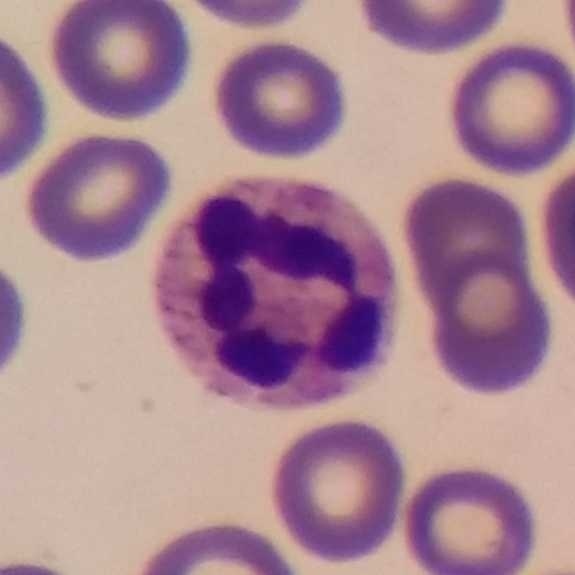

Classification — neutrophilic granulocyte.
Image: Peripheral blood film. Smartphone camera mounted on the microscope eyepiece. 575×575 px.